Peripheral blood smear:
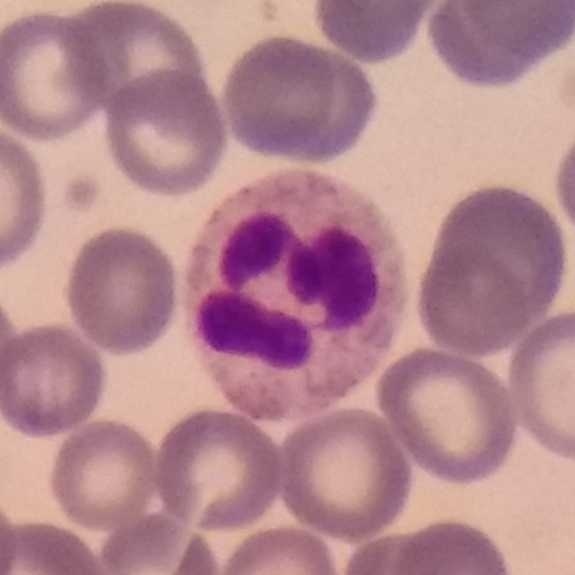
Impression → neutrophil.